Peripheral blood film
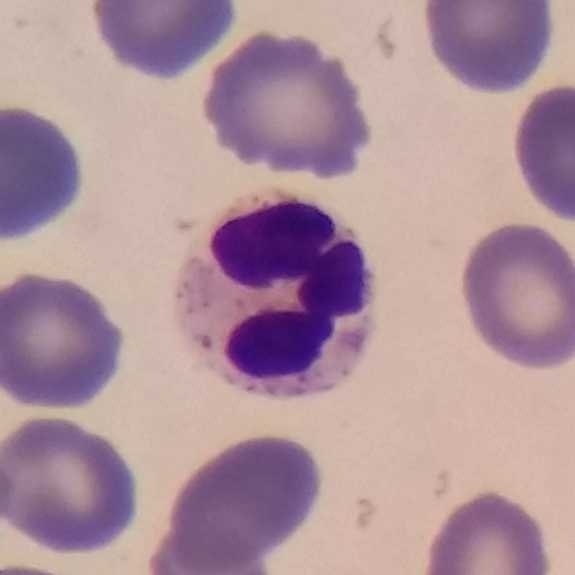

Specimen: peripheral blood smear.
Cell: neutrophil.
Lineage: myeloid.